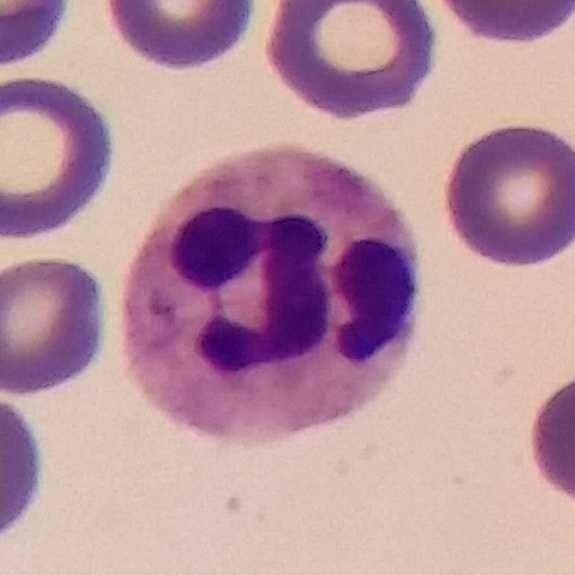

Peripheral blood smear showing a neutrophilic granulocyte.